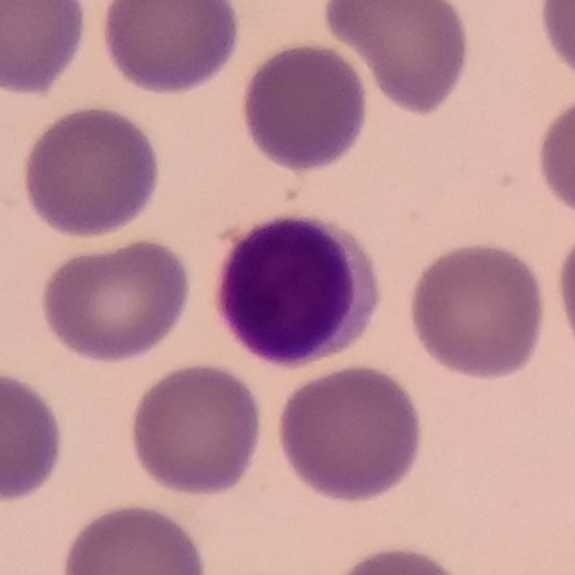Preparation: Peripheral blood smear. Cropped to one leukocyte.

Q: What is this?
A: It is a lymphocyte.